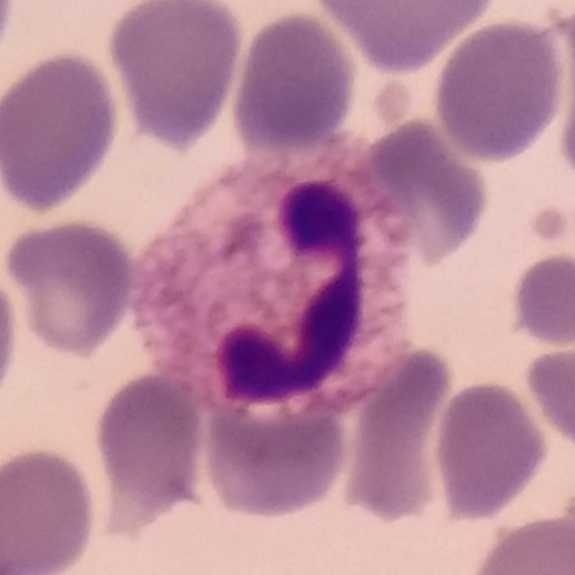 Peripheral blood film, single cell — neutrophilic granulocyte.